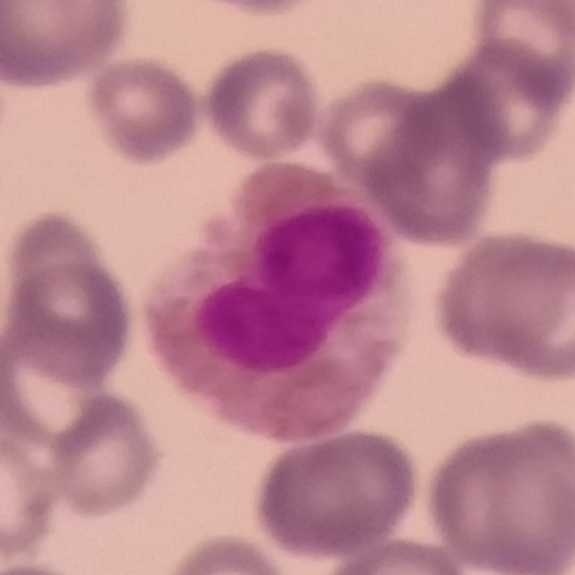
Context: Peripheral blood smear; 575×575; smartphone camera mounted on the microscope eyepiece. An eosinophil.